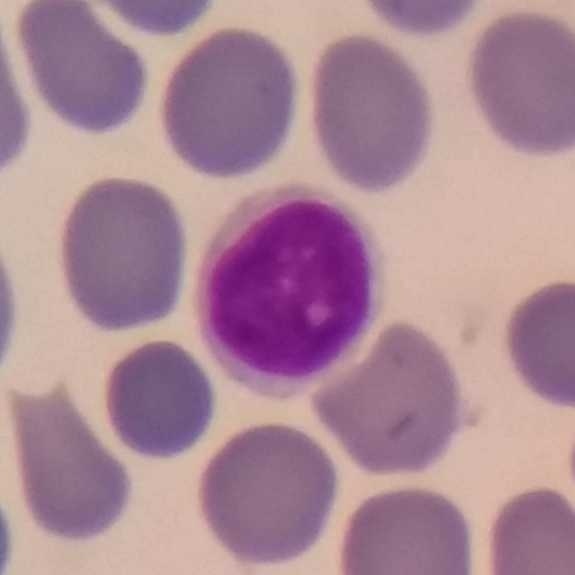Peripheral blood film, single cell — lymphocyte.